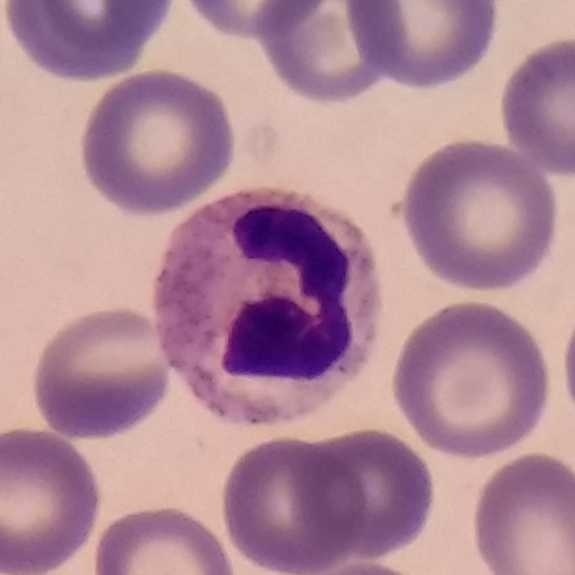
Context: Peripheral blood smear. Morphology consistent with a neutrophil.